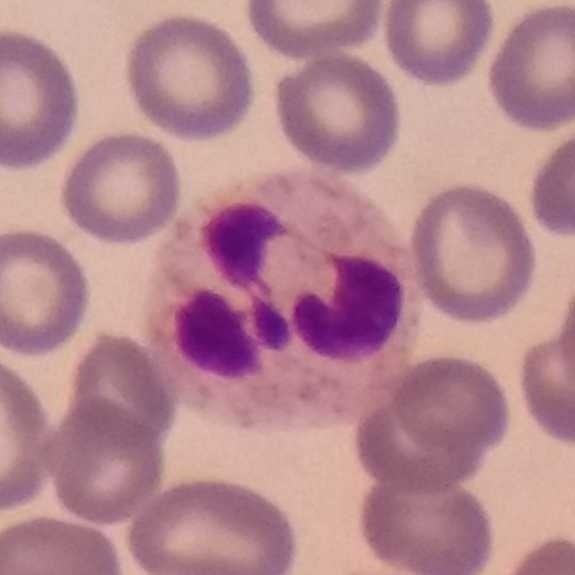 Single-cell crop. Peripheral blood film.

This is a neutrophil granulocyte.